Peripheral blood film. Single-cell crop
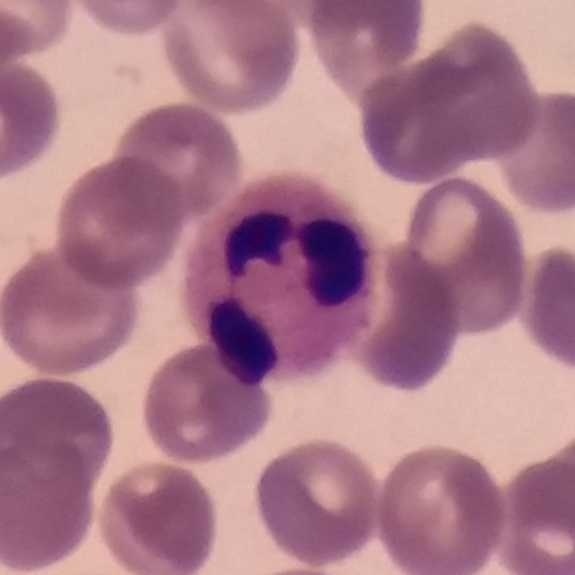
Cell = neutrophil granulocyte.